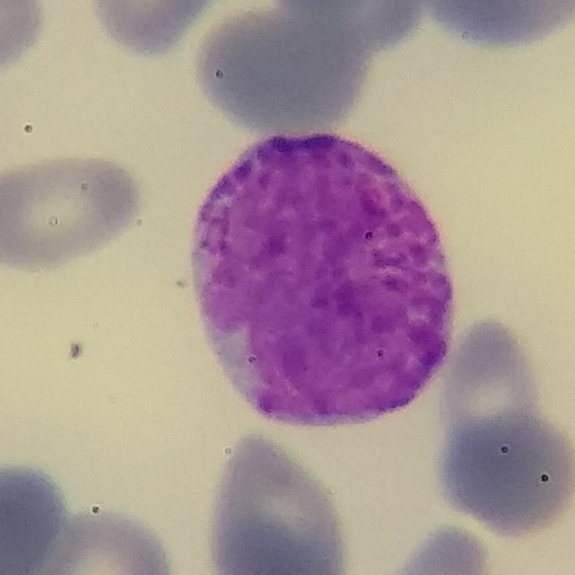

Morphology → basophilic granulocyte.